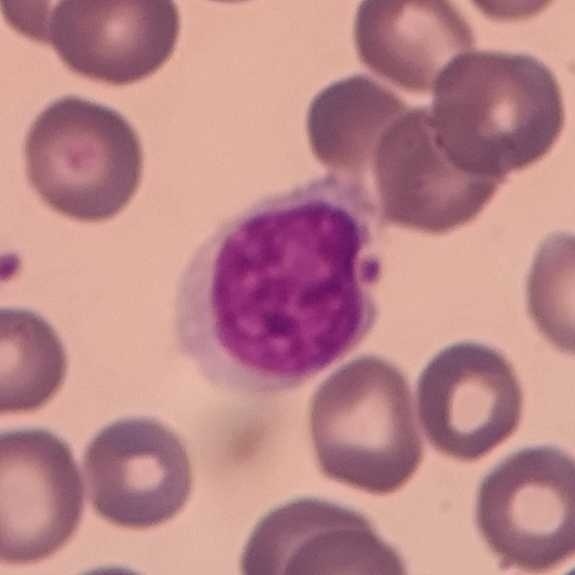
This is a lymphocyte.
Image: Peripheral blood film.